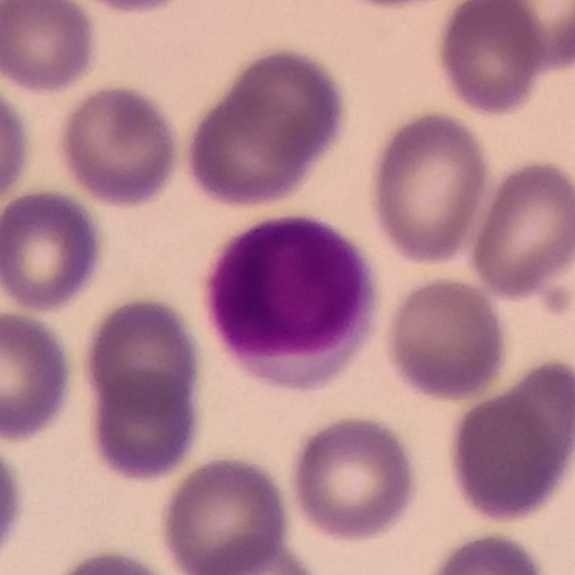
Q: What type of cell is this?
A: This is a lymphocyte.
Context: Peripheral blood smear.